Peripheral blood film — 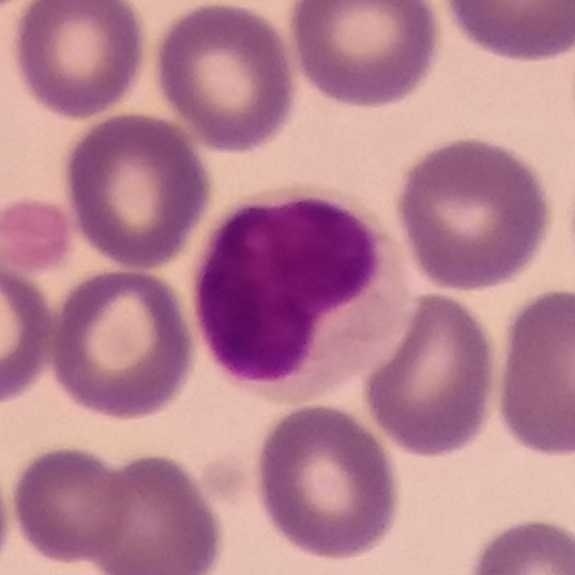

Morphology — lymphocyte.